Peripheral blood film. Giemsa stain — 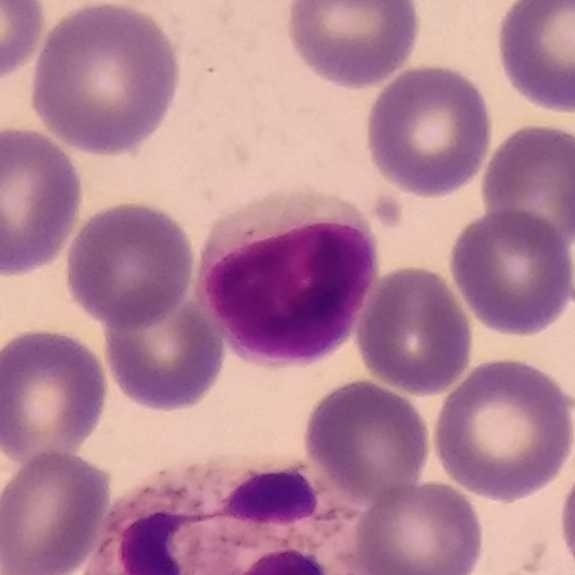 Specimen: peripheral blood smear.
Morphological class: lymphocyte.